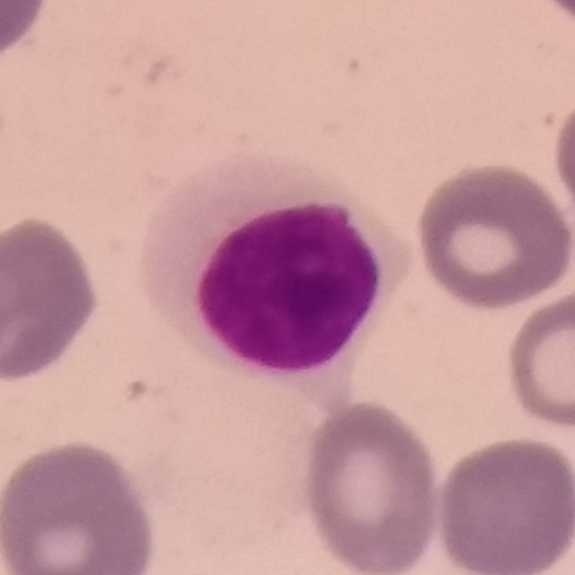
Q: What is shown here?
A: Lymphocyte.
Image: Peripheral blood smear.